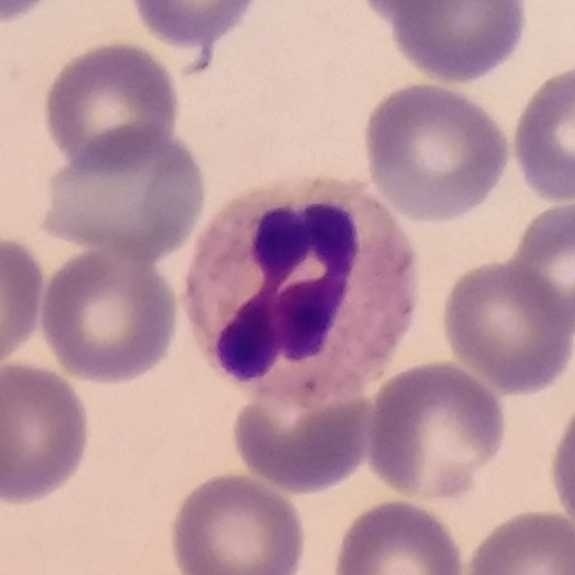 Preparation: Peripheral blood film.

The morphological class is neutrophil granulocyte.